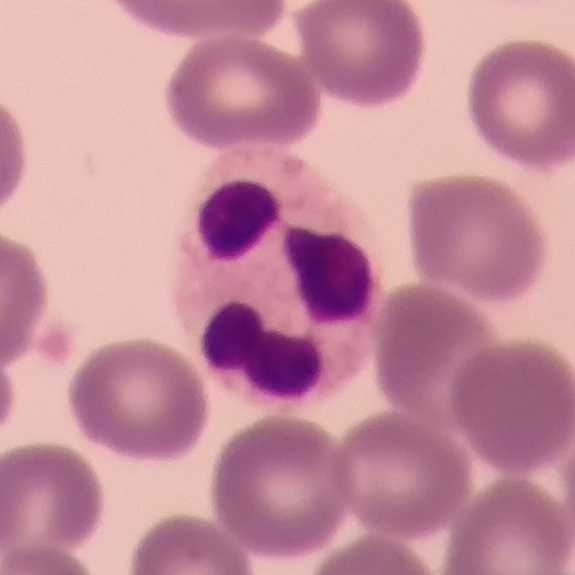 Specimen: peripheral blood smear.
Cell: neutrophilic granulocyte.
Lineage: myeloid.